100× magnification; smartphone photomicrograph; peripheral blood film — 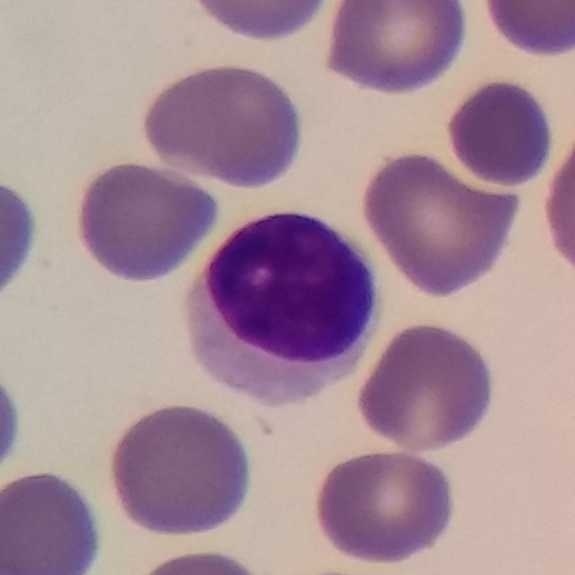 The cell is lymphocyte.